Peripheral blood smear · imaged at 100×.
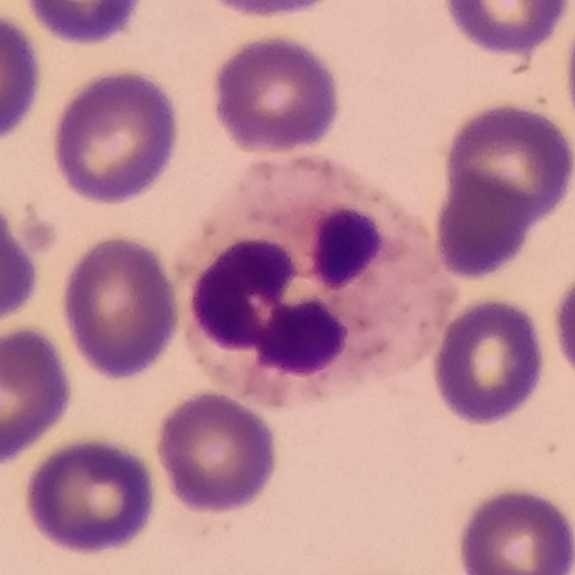
White blood cell type: neutrophil granulocyte.